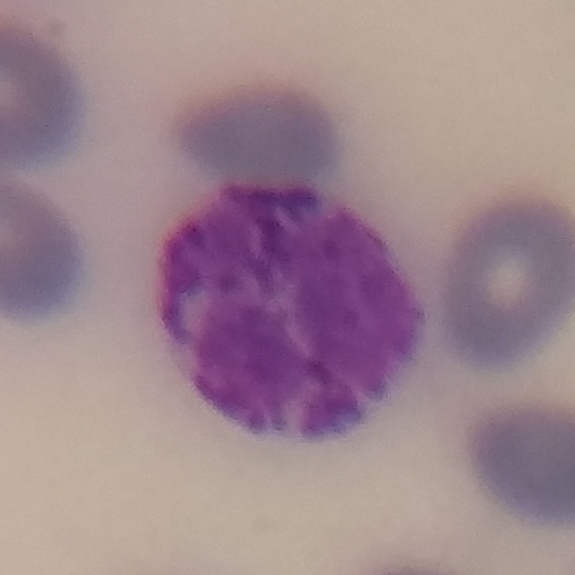

Q: What is shown here?
A: Basophilic granulocyte.